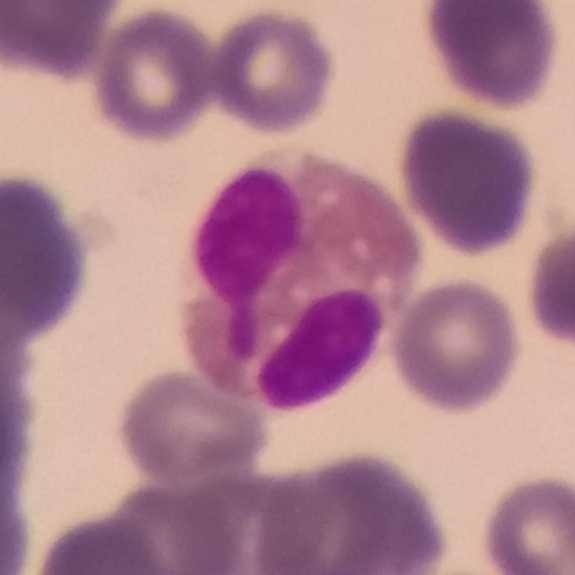 Morphology consistent with an eosinophilic granulocyte.